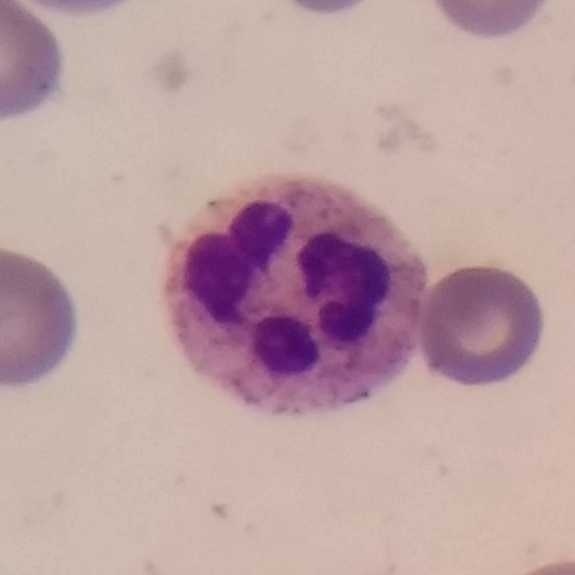 Cell: neutrophilic granulocyte.